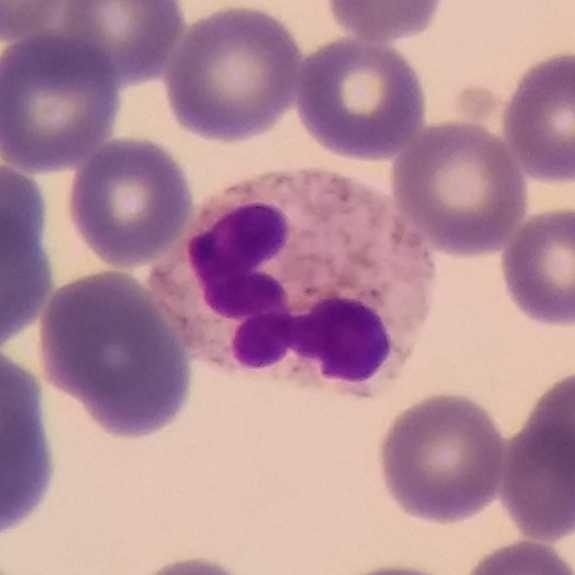

Morphology — neutrophilic granulocyte.
Image: Single-cell crop; peripheral blood smear.